575×575. Peripheral blood film — 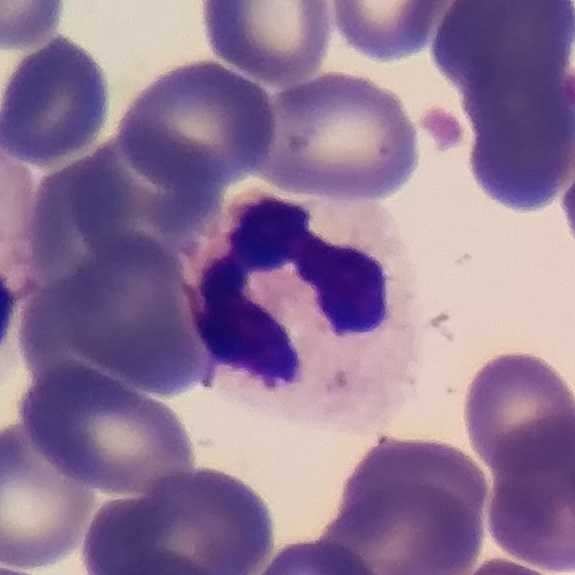 {"cell_type": "neutrophil", "lineage": "myeloid"}